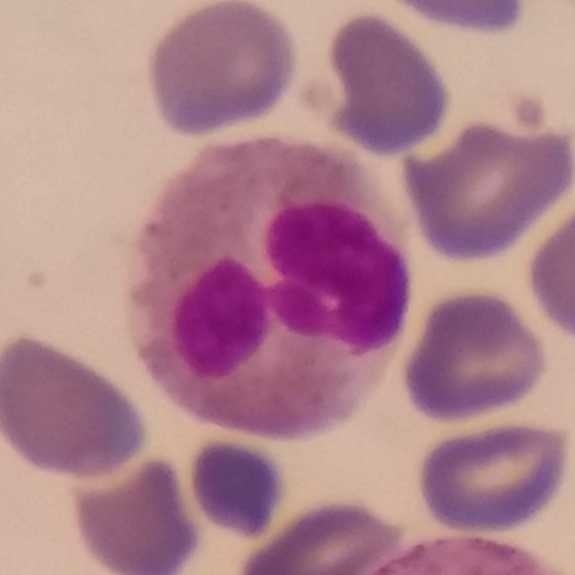
Cell type = eosinophilic granulocyte.